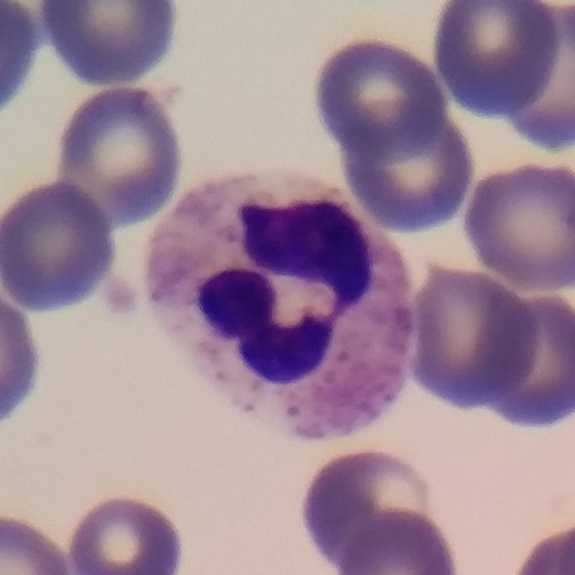 Preparation: Peripheral blood film.

Single cell identified as a neutrophil.